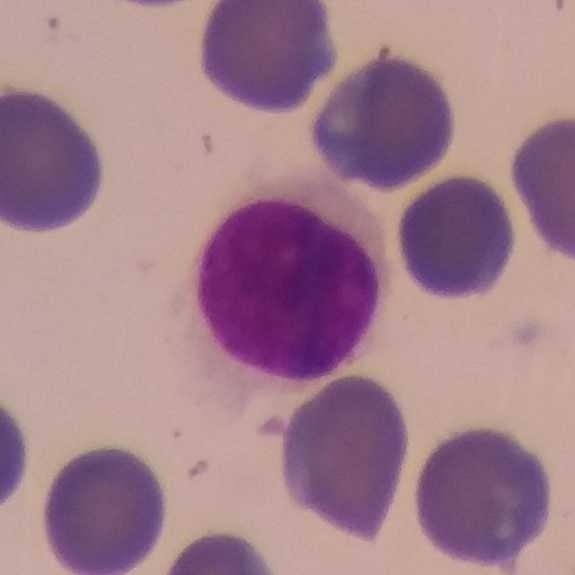Q: What type of cell is this?
A: Lymphocyte.